Peripheral blood smear.
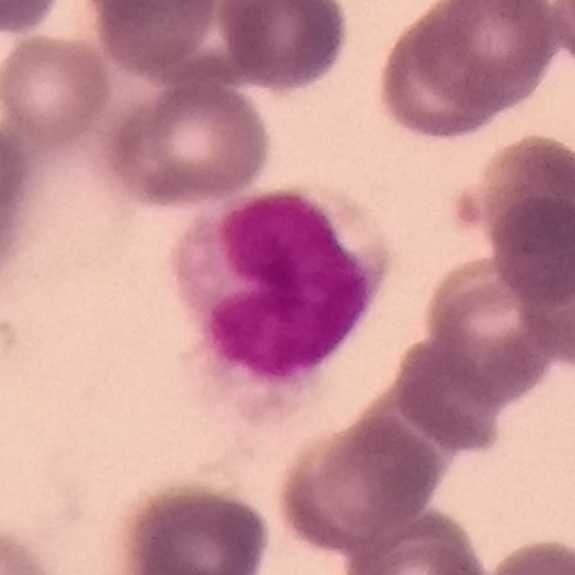 Morphology — lymphocyte.